Peripheral blood film — 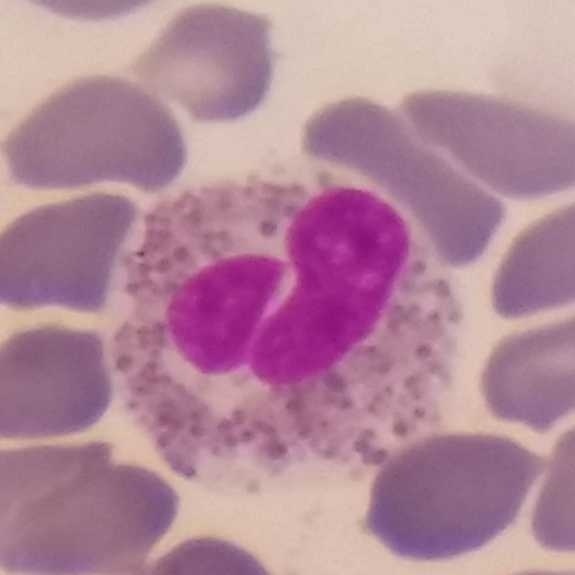 This is an eosinophil.